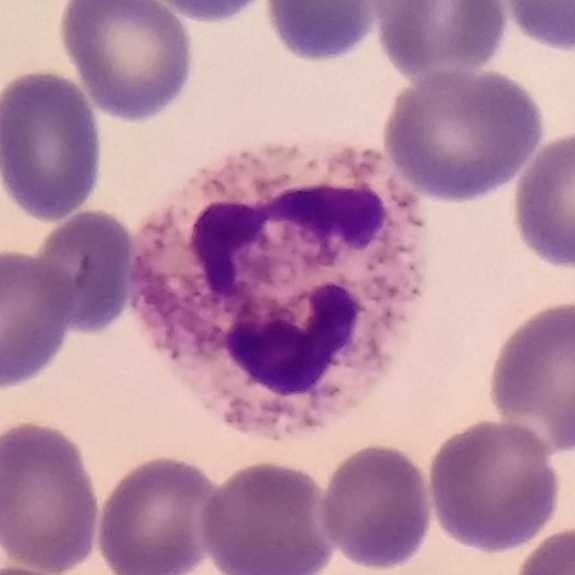
Impression — neutrophil granulocyte.